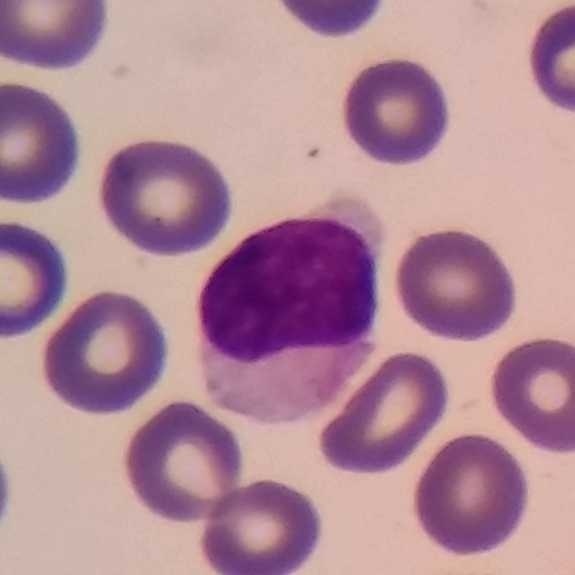 Specimen: peripheral blood film.
White blood cell type: lymphocyte.